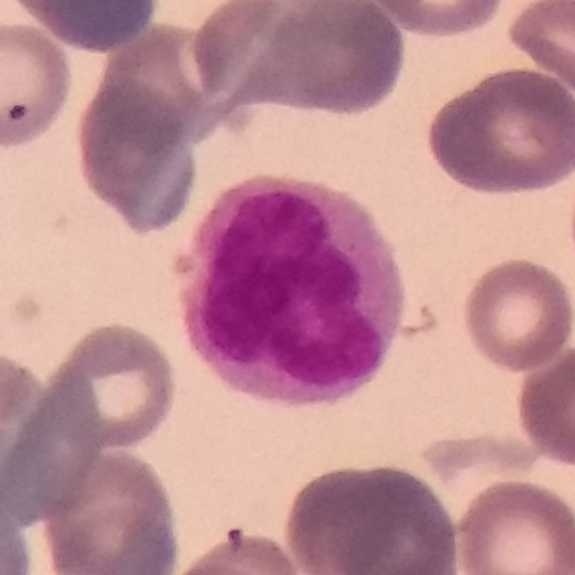Context: Smartphone photomicrograph; peripheral blood smear; stained with Giemsa.

Morphology consistent with a monocyte.